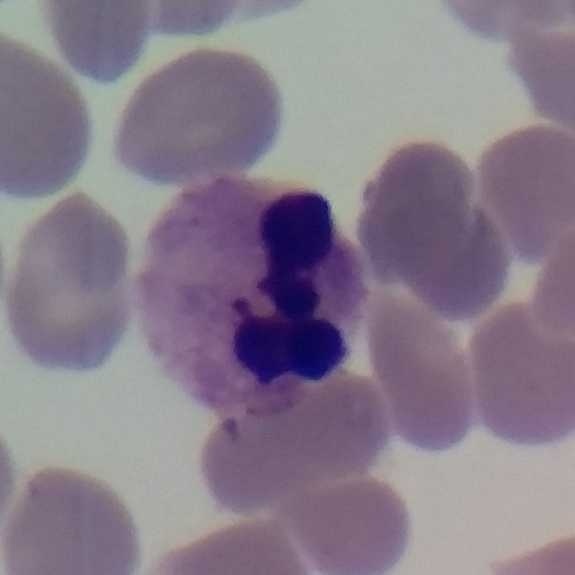

Peripheral blood film. White blood cell type — neutrophil.